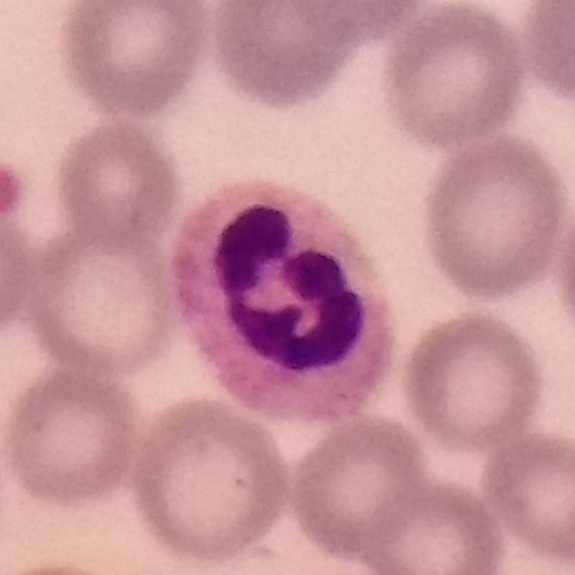Specimen: peripheral blood film.
White blood cell type: neutrophil granulocyte.
Lineage: myeloid.